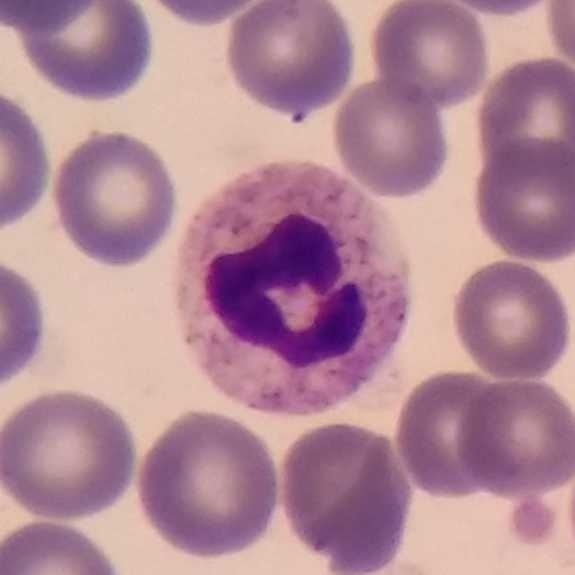 Peripheral blood film.
Single cell identified as a neutrophil.